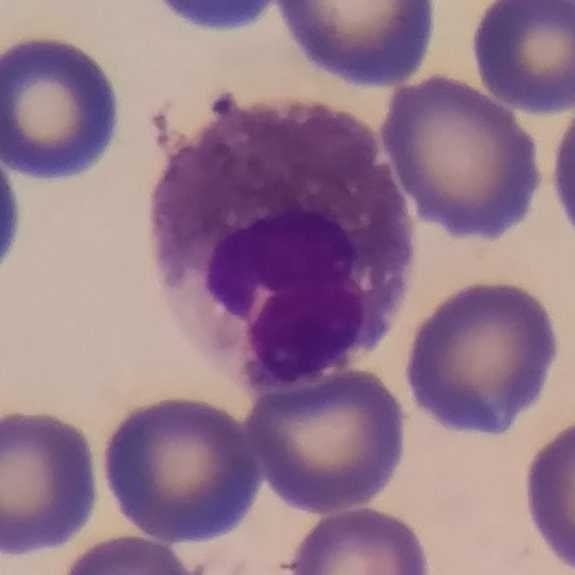
The cell is eosinophil.
Context: Peripheral blood smear.